Peripheral blood smear. Single white blood cell cropped from the smear photograph. Magnification 100×: 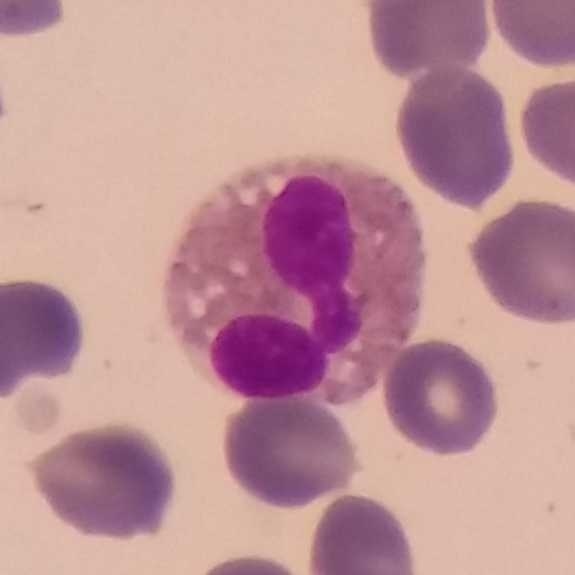

Morphology consistent with an eosinophilic granulocyte.